Peripheral blood smear — 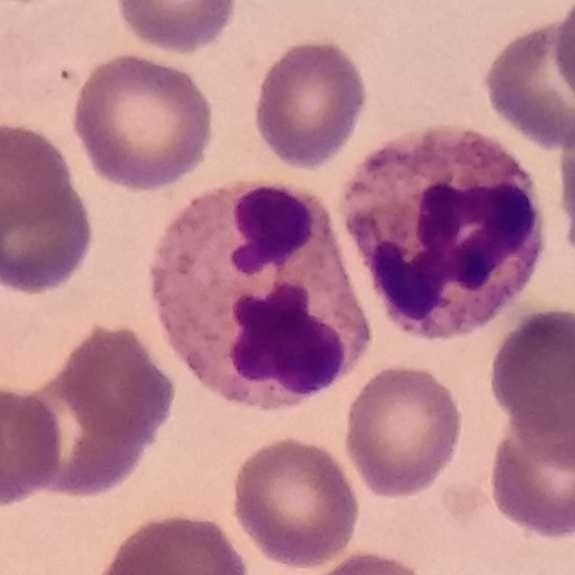

Impression → neutrophil granulocyte.